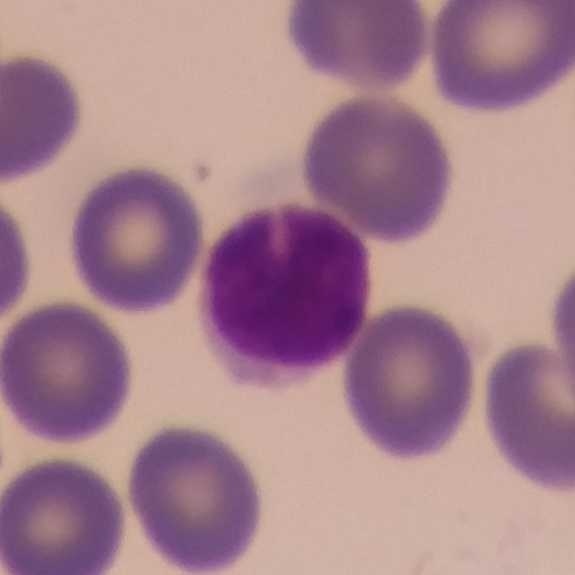
Peripheral blood film, single cell — lymphocyte.